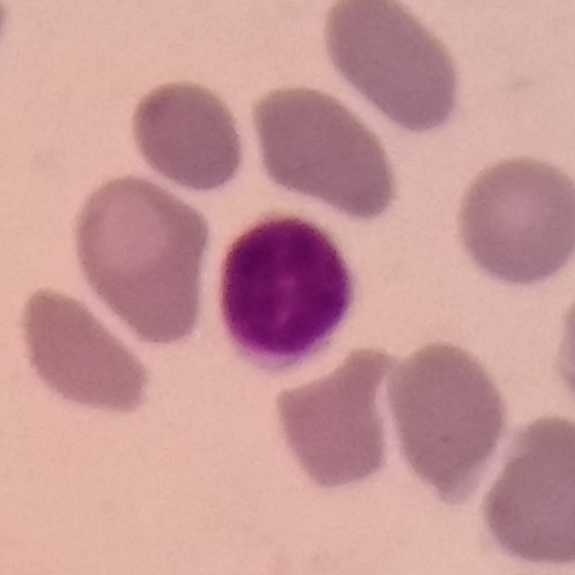
Showing a lymphocyte.

Acquisition: Giemsa-stained · peripheral blood smear.